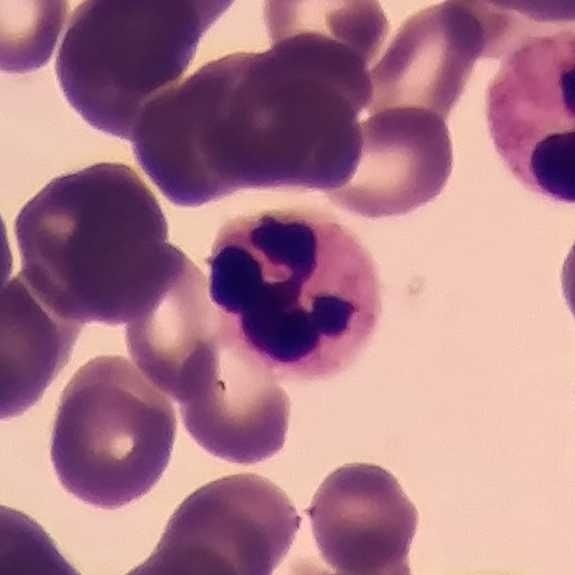Image: Peripheral blood smear · magnification 100×.

This is a neutrophilic granulocyte.